Peripheral blood film; magnification 100×.
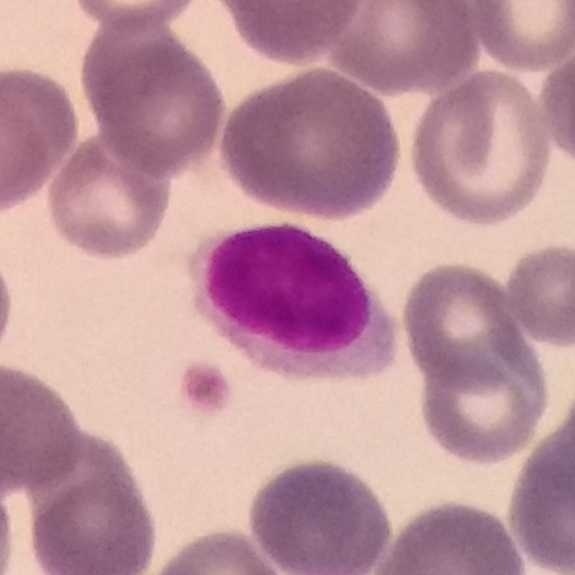
Lymphocyte.